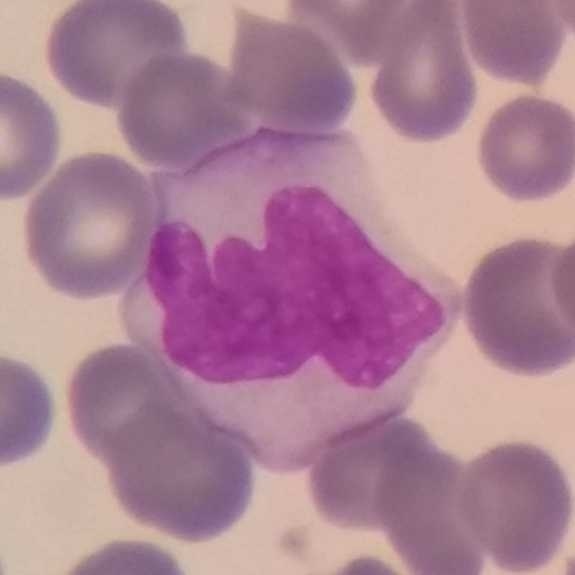

Morphology consistent with a monocyte.
Peripheral blood smear · single-cell crop.